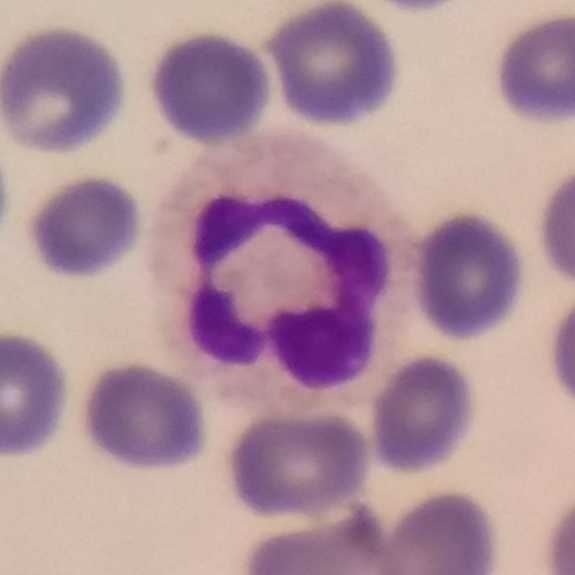

Single-cell crop from a peripheral blood smear: neutrophil.